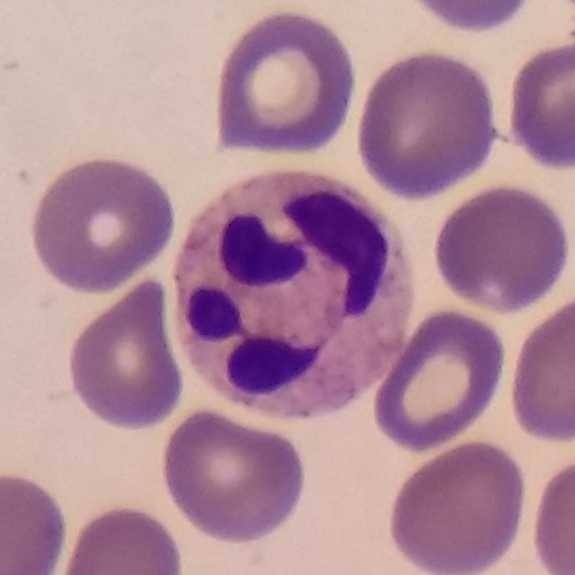Preparation: Peripheral blood smear. {"cell_type": "neutrophil granulocyte"}